Peripheral blood smear; imaged at 100× — 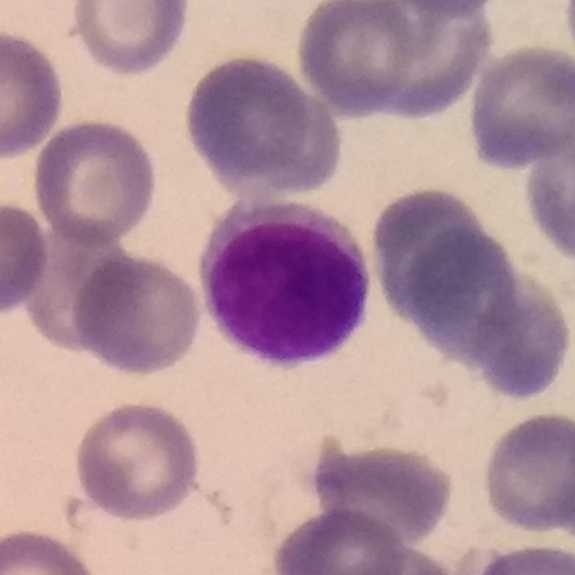 Specimen: peripheral blood smear.
Cell: lymphocyte.
Lineage: lymphoid.